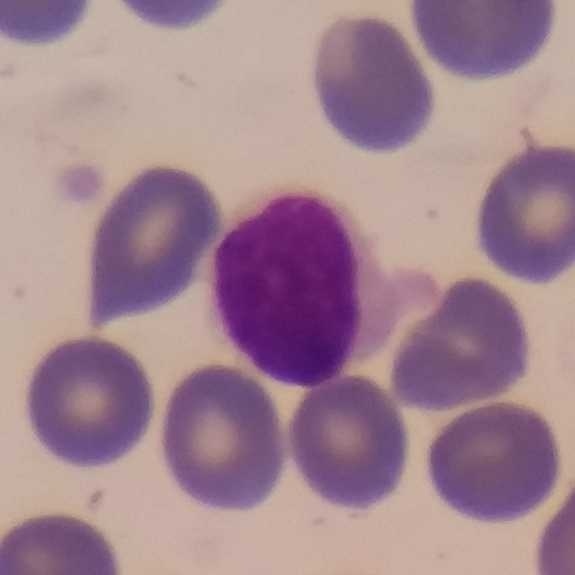
{"cell_type": "lymphocyte", "lineage": "lymphoid"}

Image: Peripheral blood film.